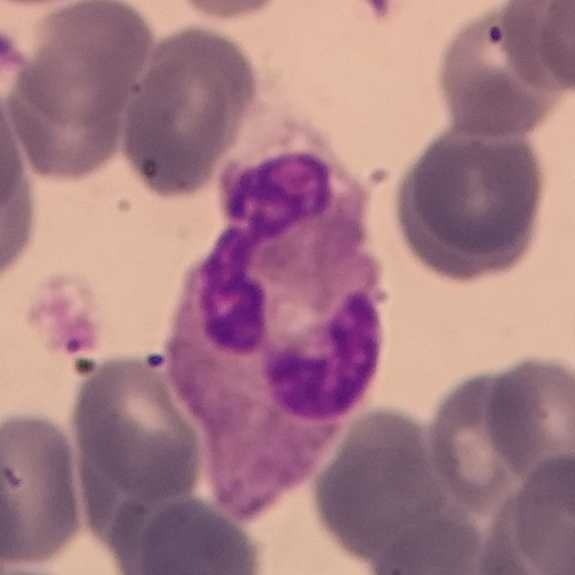

Context: Imaged at 100× · single-cell crop.
Specimen: peripheral blood film.
Cell type: neutrophil.